Peripheral blood film; imaged at 100×; smartphone photomicrograph
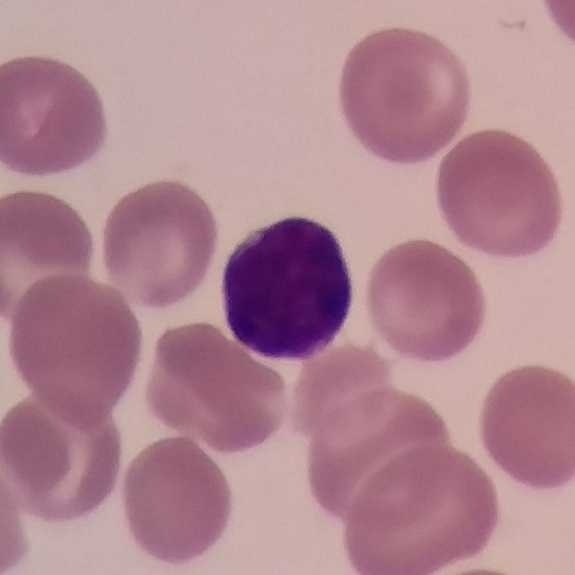
White blood cell type: lymphocyte.